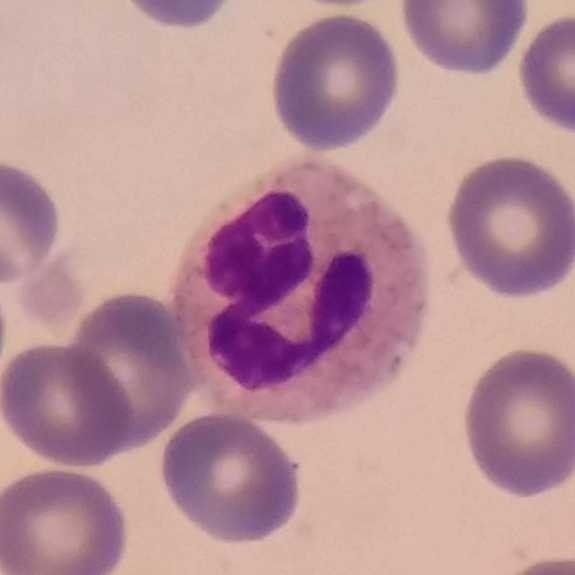

Acquisition: Peripheral blood smear. Giemsa stain. Q: Which type of white blood cell is this?
A: It is a neutrophil granulocyte.